Peripheral blood smear.
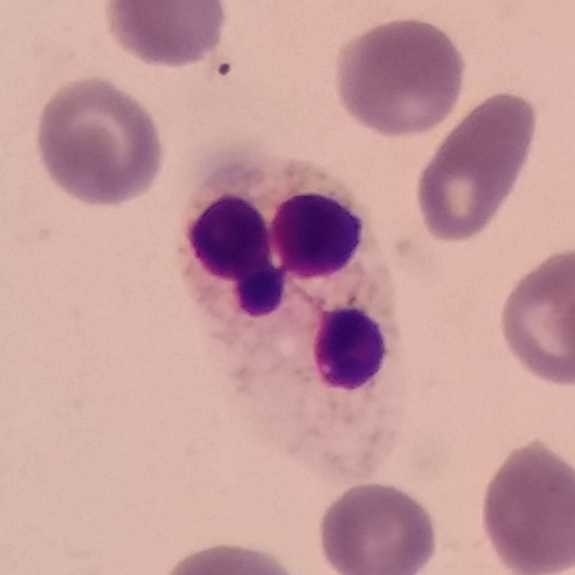Specimen: peripheral blood film.
Classification: neutrophil granulocyte.
Lineage: myeloid.